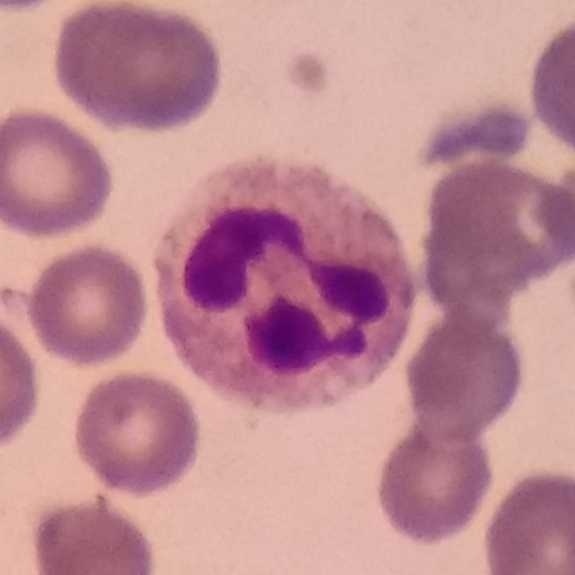

Acquisition: Smartphone photomicrograph. Peripheral blood smear.
{"cell_type": "neutrophil", "lineage": "myeloid"}